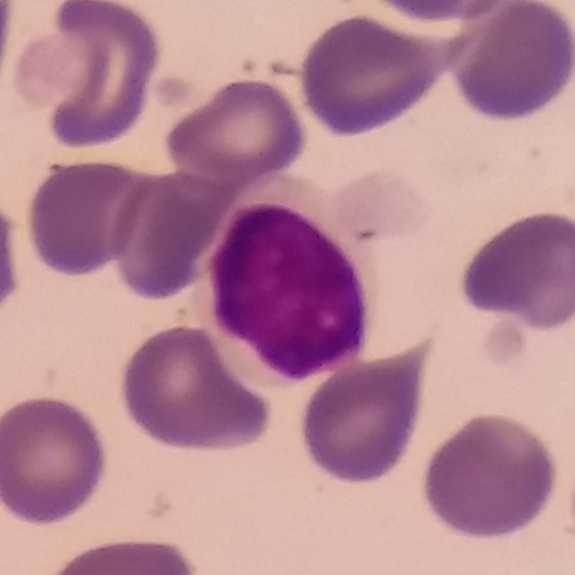

Context: 575×575 · peripheral blood film · single white blood cell cropped from the smear photograph.

Q: What type of cell is this?
A: This is a lymphocyte.